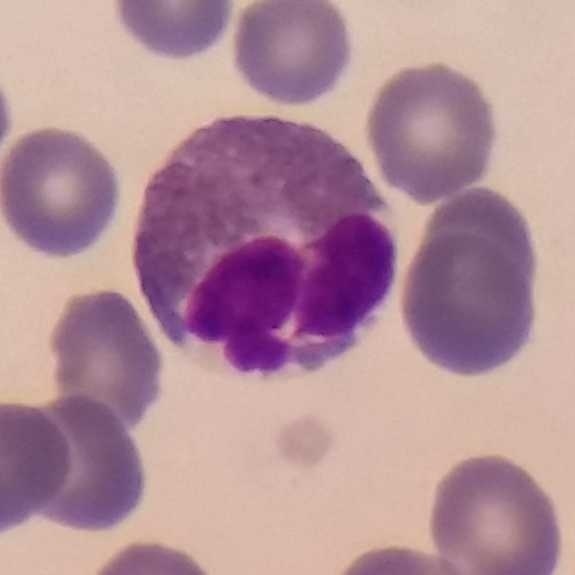
Impression → eosinophilic granulocyte.